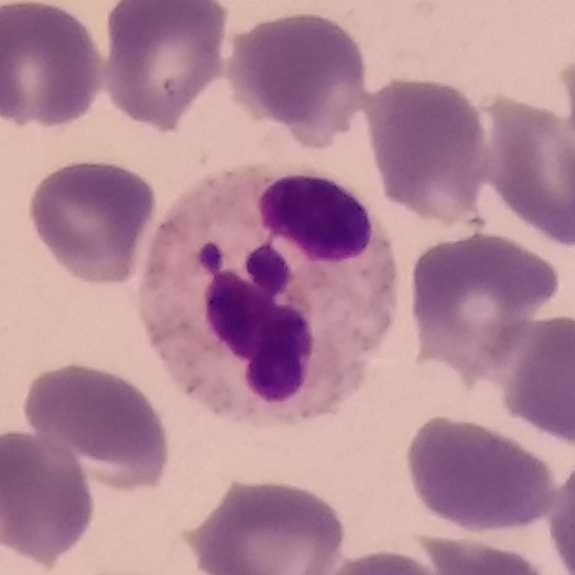 {"cell_type": "neutrophil granulocyte", "lineage": "myeloid"}